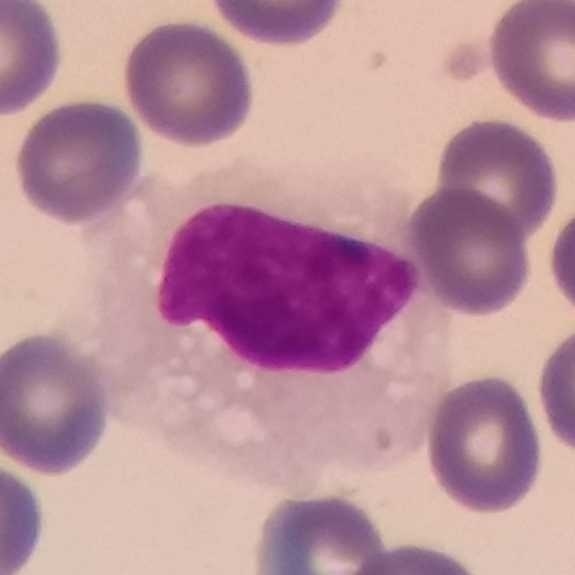Impression — monocyte.
Preparation: Peripheral blood film.